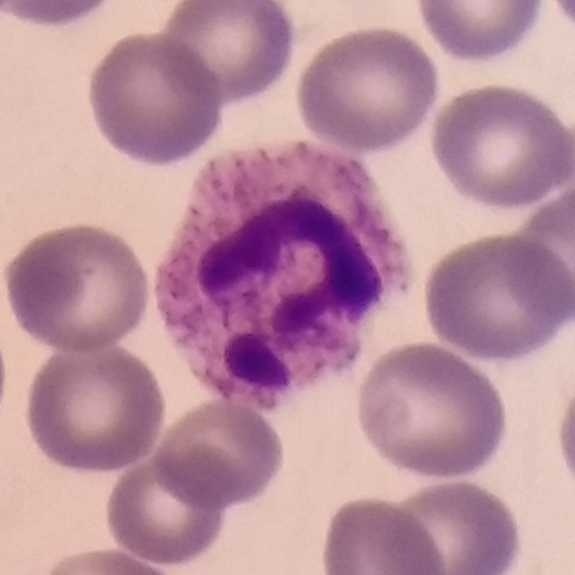
Specimen: peripheral blood smear.
Morphological class: neutrophilic granulocyte.
Lineage: myeloid.
Stained with Giemsa.